Peripheral blood film; 575×575; magnification 100×: 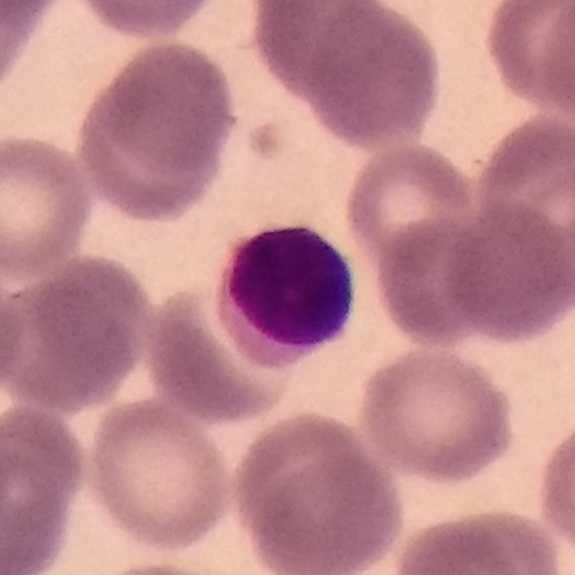
Single cell identified as a lymphocyte.